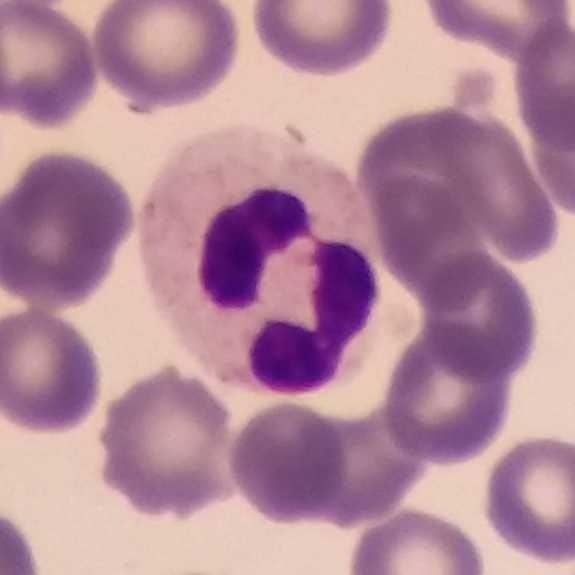 The cell shown is a neutrophil granulocyte.

Peripheral blood smear.